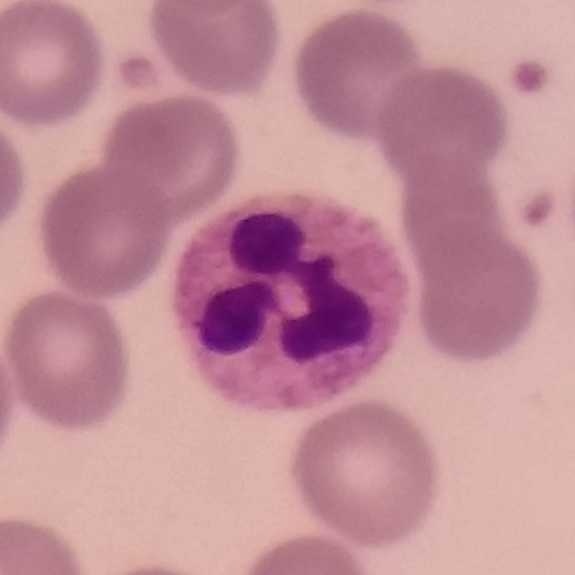
Single-cell crop from a peripheral blood smear: neutrophilic granulocyte.